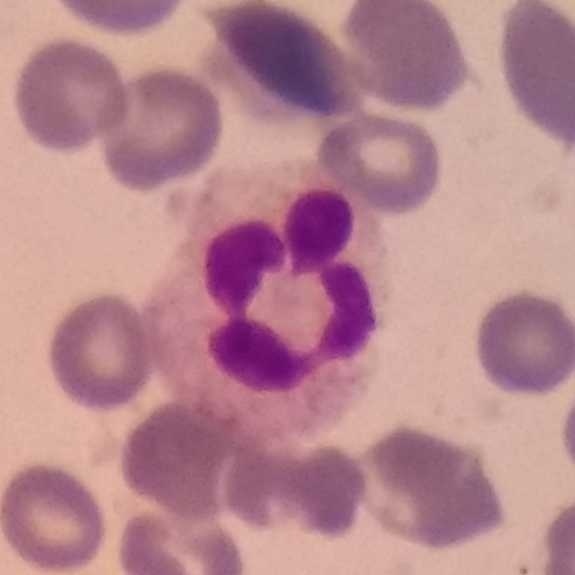
Image: Peripheral blood smear.

This is a neutrophilic granulocyte.